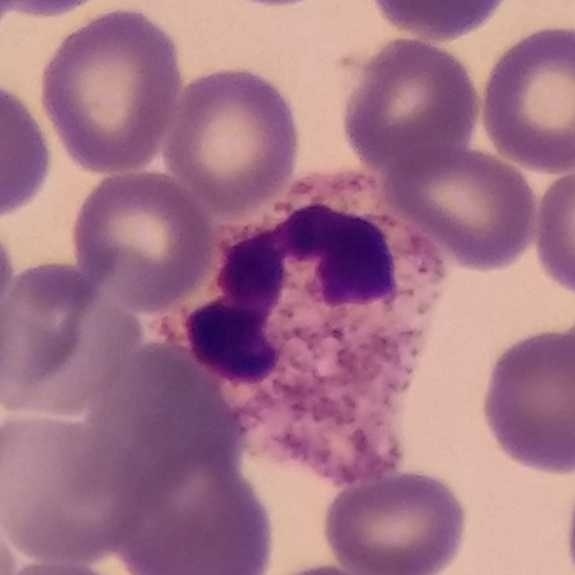Specimen: peripheral blood film.
White blood cell type: neutrophil granulocyte.
575 by 575 pixels.